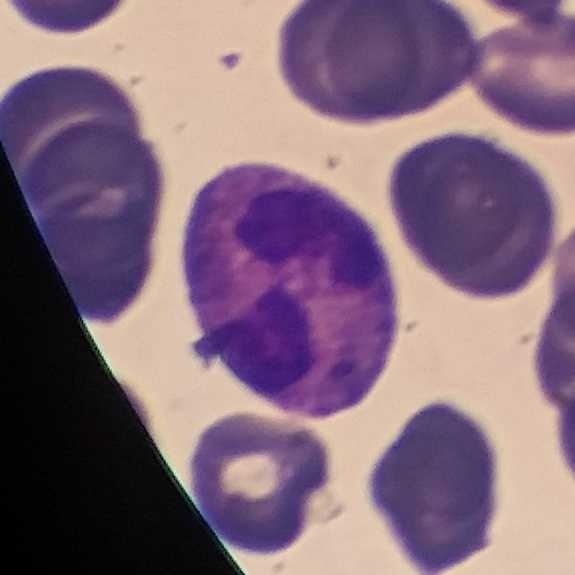
A neutrophilic granulocyte on a peripheral blood smear.